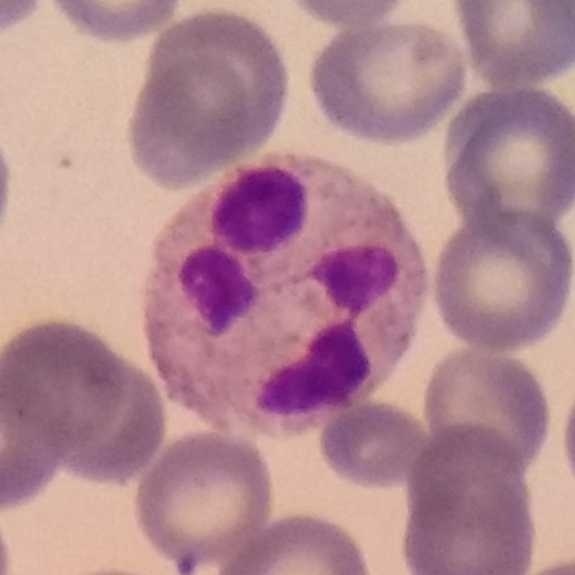

The cell is neutrophil.

Acquisition: Peripheral blood smear.